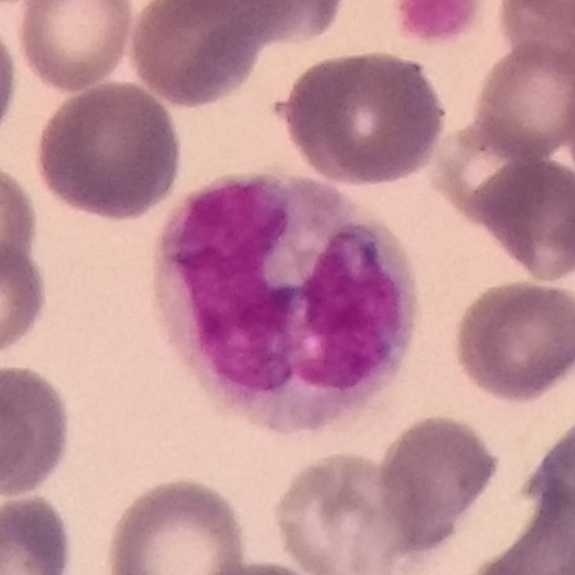
Morphological class — monocyte.